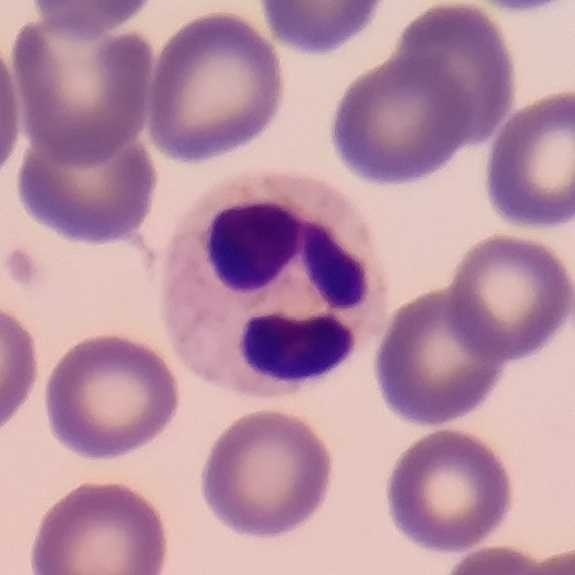 Q: What type of cell is this?
A: Neutrophilic granulocyte.